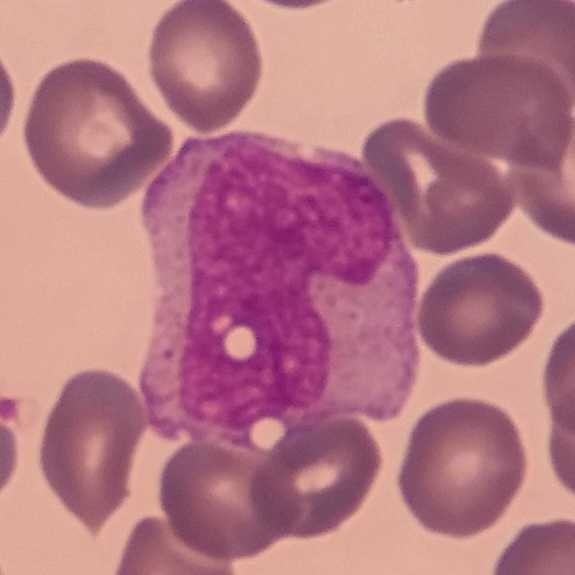
Cell type — monocyte.

Acquisition: Imaged at 100×. Peripheral blood smear. Giemsa stain.